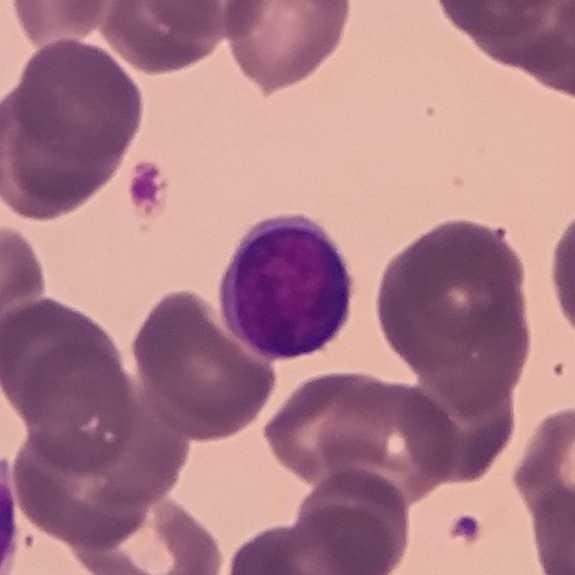

Peripheral blood smear. 575×575. Photographed through a light microscope with a smartphone camera.
Cell type = lymphocyte.